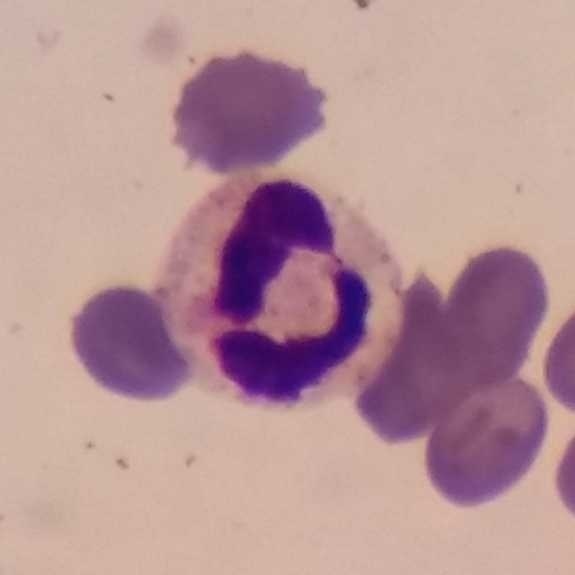
Classification = neutrophilic granulocyte.